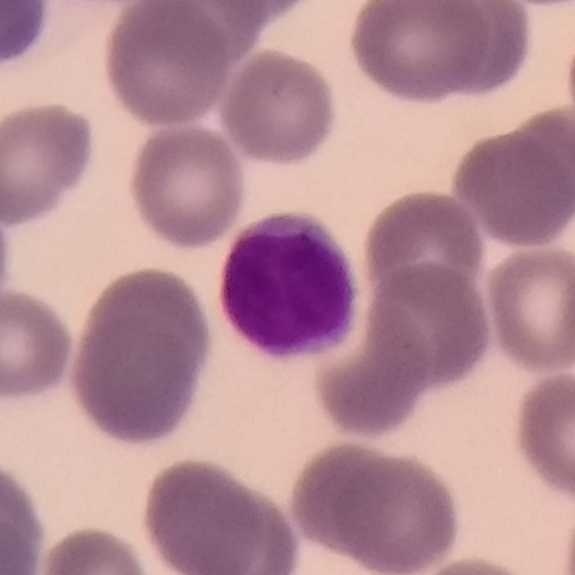
Q: Identify the cell.
A: It is a lymphocyte.